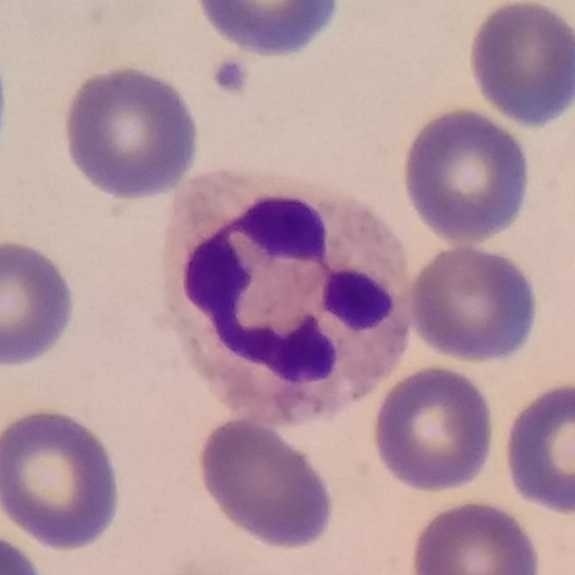

Q: What is the morphological classification of this cell?
A: It is a neutrophil granulocyte.